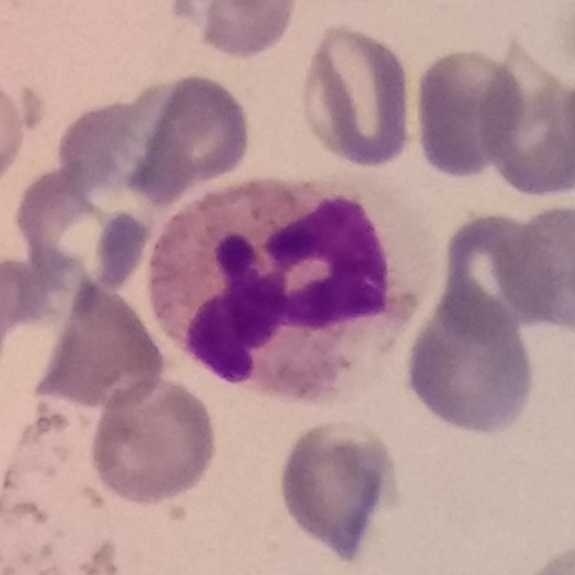

Peripheral blood smear. Stained with Giemsa.
Showing a neutrophilic granulocyte.